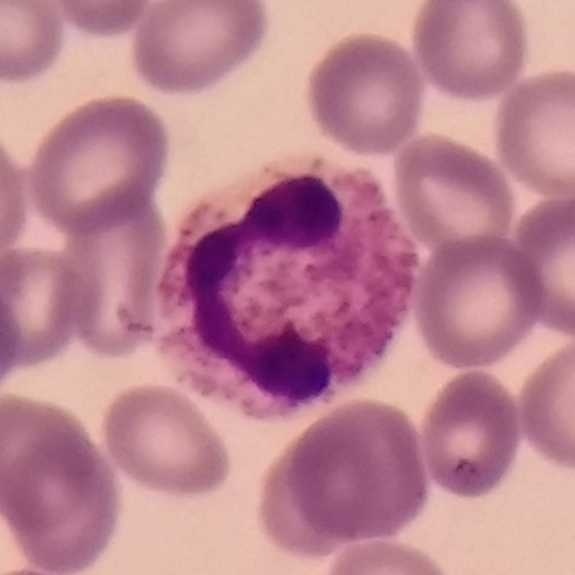Specimen: peripheral blood smear.
White blood cell type: neutrophil.
Lineage: myeloid.